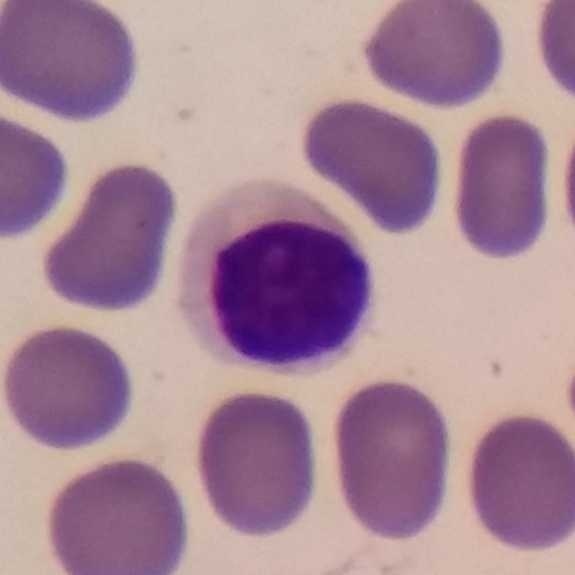 Single-cell crop; peripheral blood film.

Single cell identified as a lymphocyte.